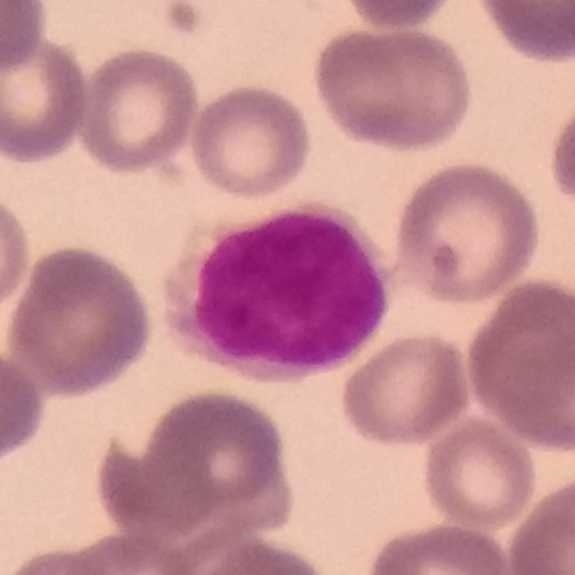

Peripheral blood film.
Single cell identified as a lymphocyte.